Peripheral blood film:
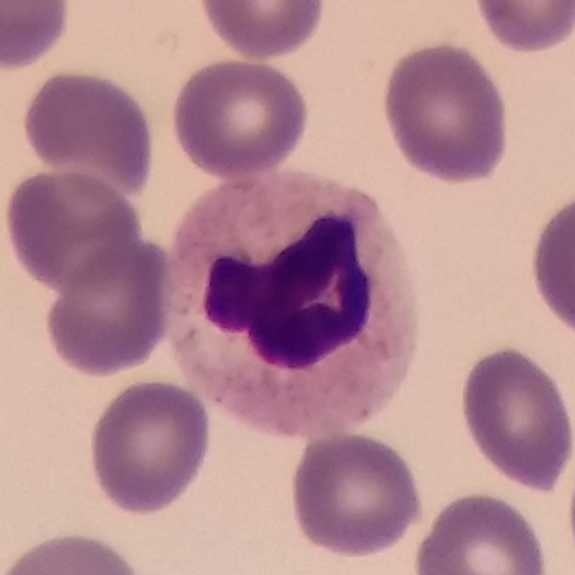

Specimen: peripheral blood film.
Classification: neutrophilic granulocyte.